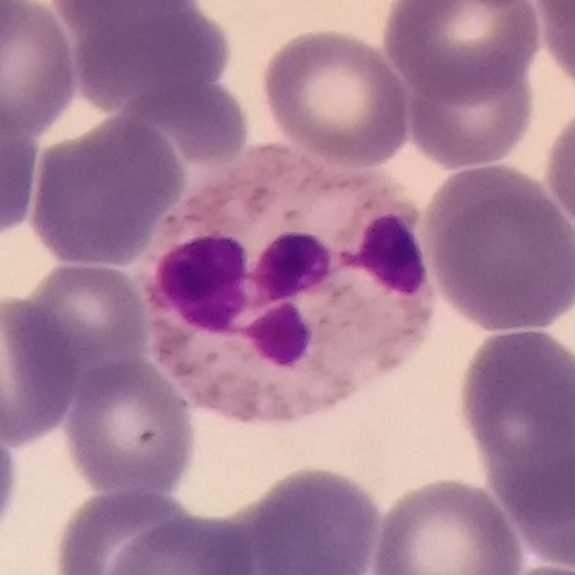

Impression → neutrophil.